Peripheral blood film: 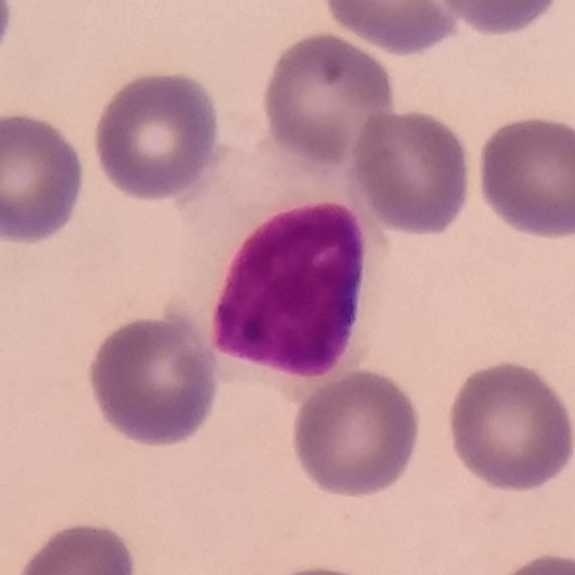

Showing a lymphocyte.